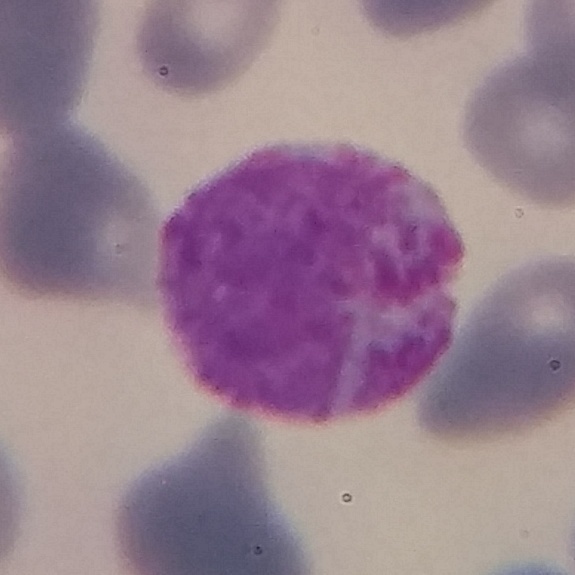 A basophil.
Preparation: Single-cell field · peripheral blood smear · Giemsa stain.